Peripheral blood film: 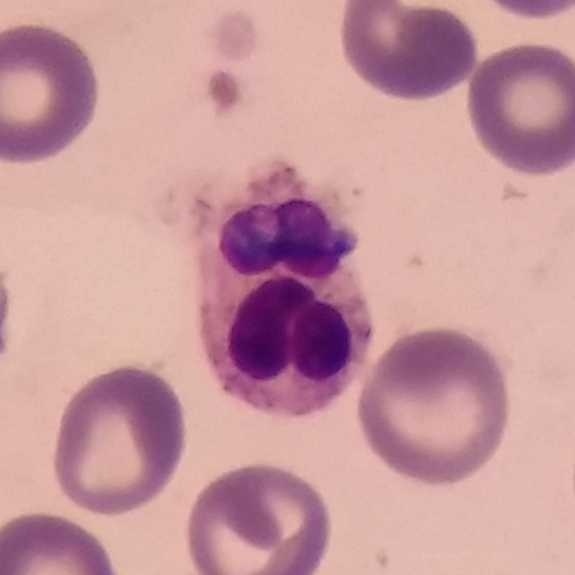
{"cell_type": "neutrophil granulocyte"}